Peripheral blood smear: 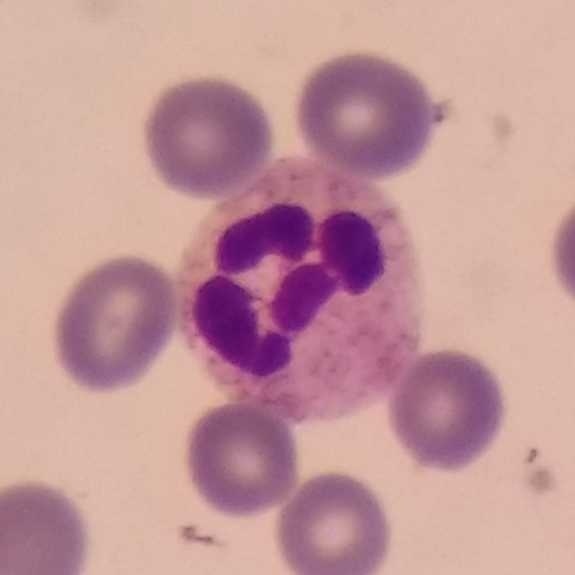
A neutrophilic granulocyte.